Stained with Giemsa. Image size 575×575. Peripheral blood film — 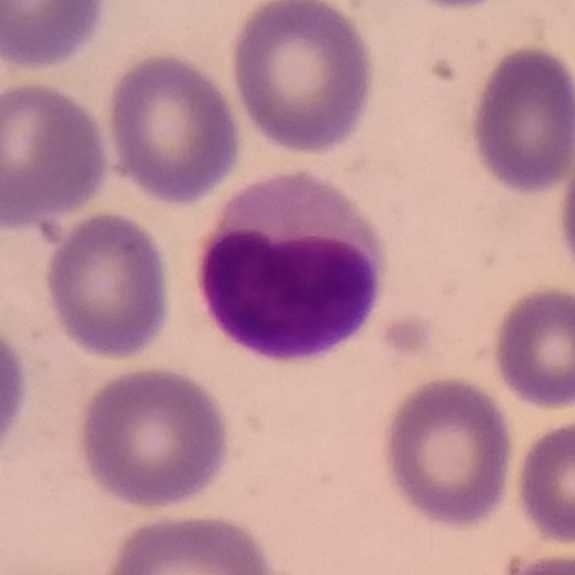 The cell is lymphocyte.